Peripheral blood film:
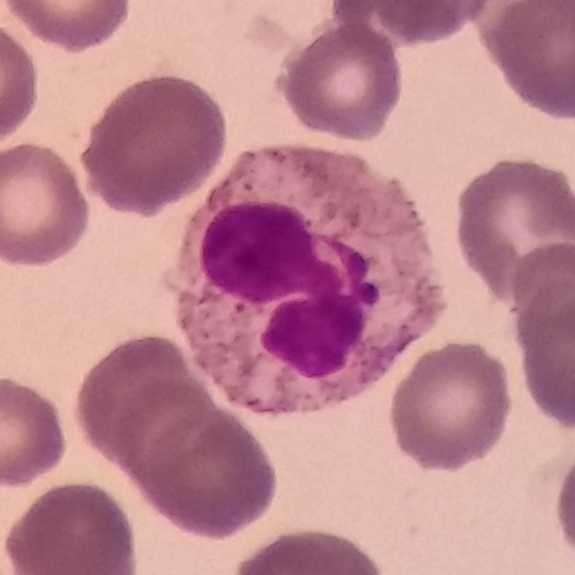
The cell type is neutrophilic granulocyte.